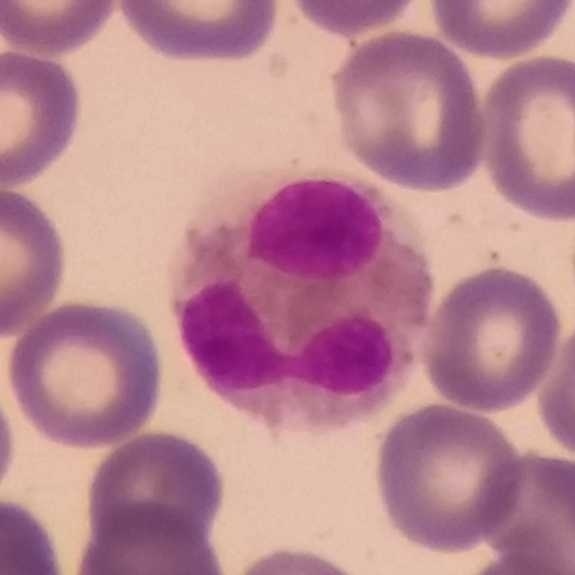

The cell is eosinophil.